Giemsa-stained · peripheral blood smear: 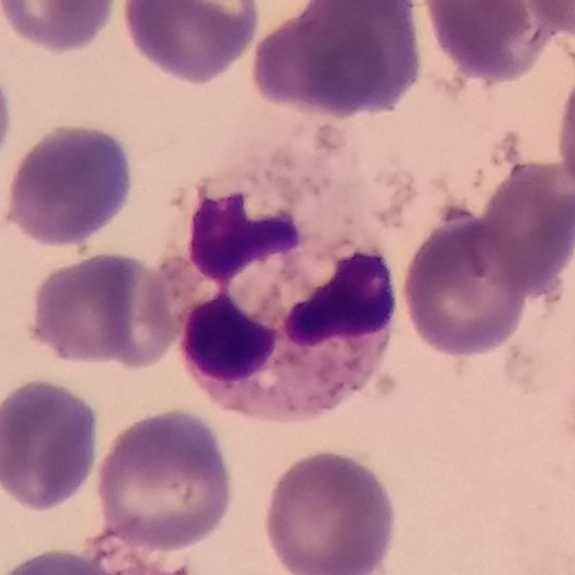
Neutrophil granulocyte.